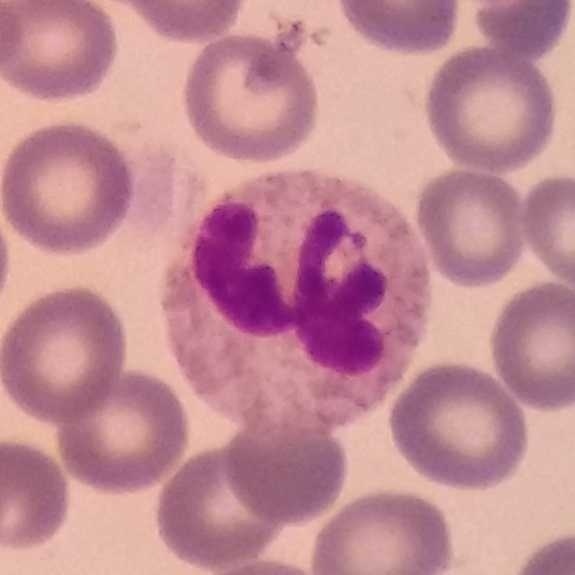
Image: Peripheral blood smear. 575 by 575 pixels.

Classification = neutrophil.